Cropped to one leukocyte · peripheral blood film — 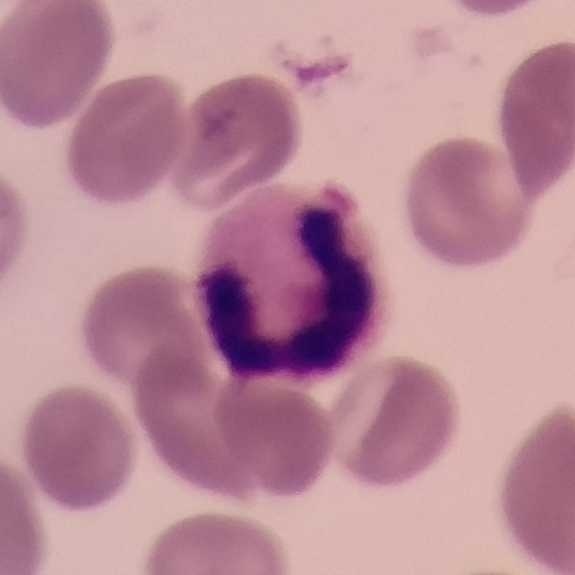

Cell — neutrophilic granulocyte.